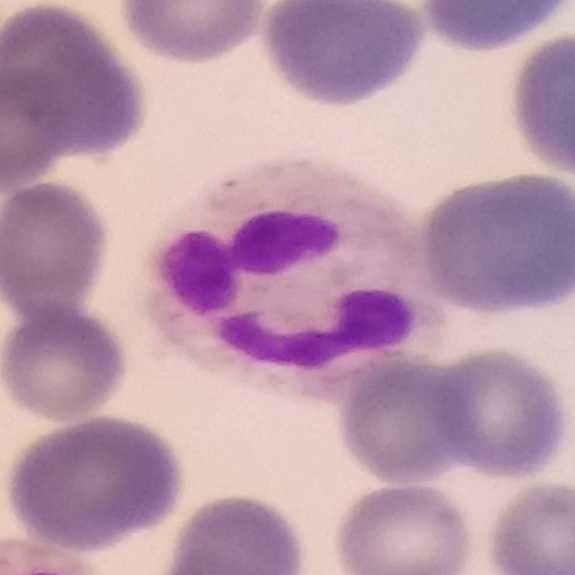Image: Peripheral blood film · 100× magnification · 575 by 575 pixels.

The cell type is neutrophil granulocyte.